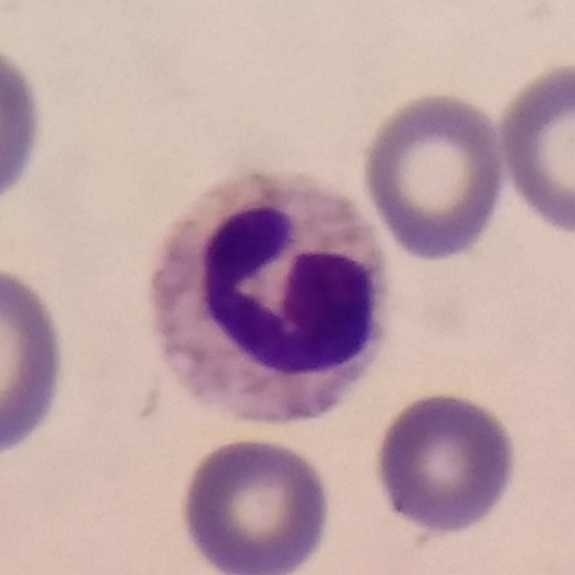 Single cell identified as a neutrophil granulocyte.